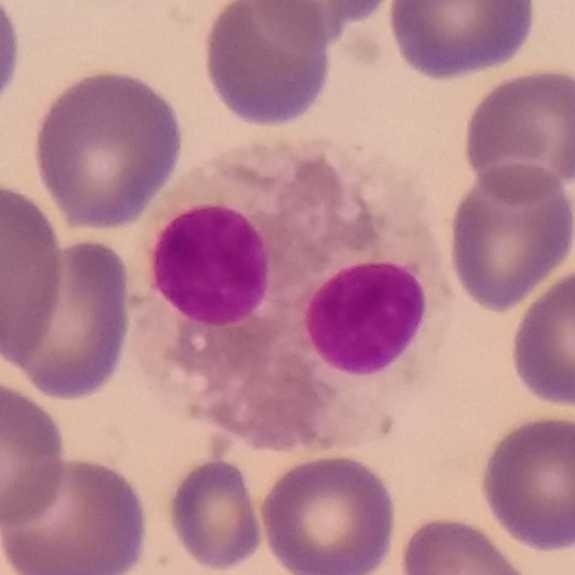Morphology → eosinophil. Peripheral blood smear; 100× magnification.